Peripheral blood film.
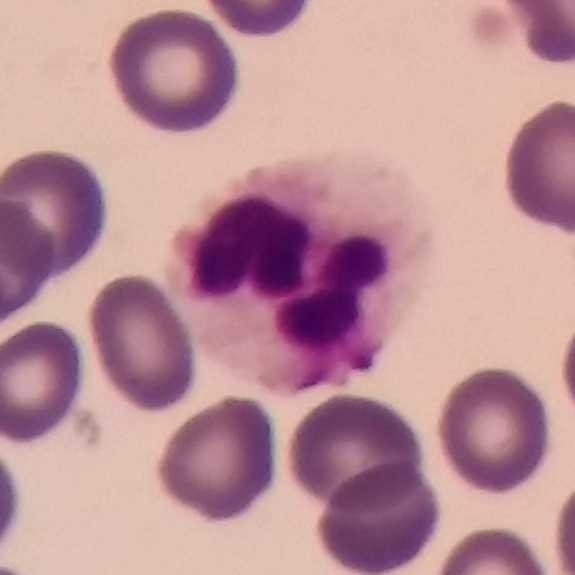

Single cell identified as a neutrophil.